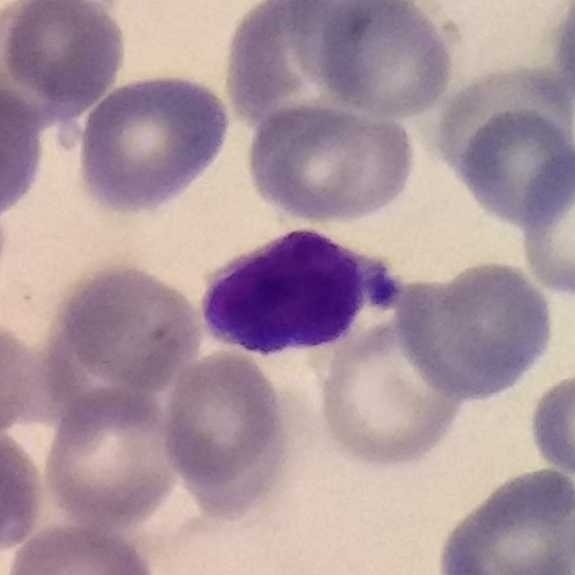
Peripheral blood film; Giemsa-stained; magnification 100×.

Identified as a lymphocyte.